575×575 · peripheral blood smear · Giemsa-stained.
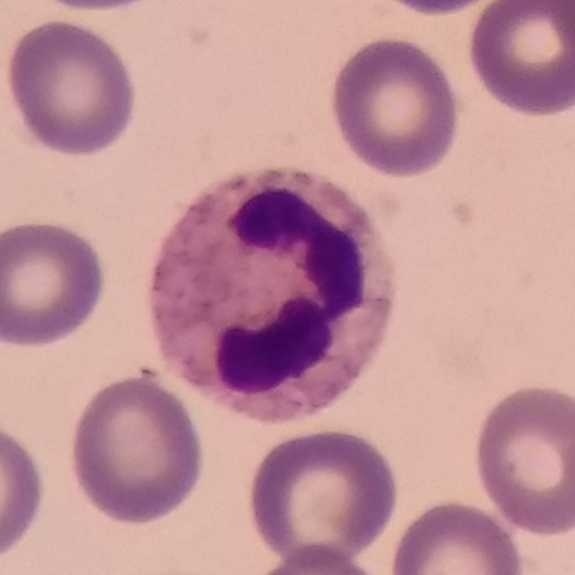
Impression → neutrophil granulocyte.